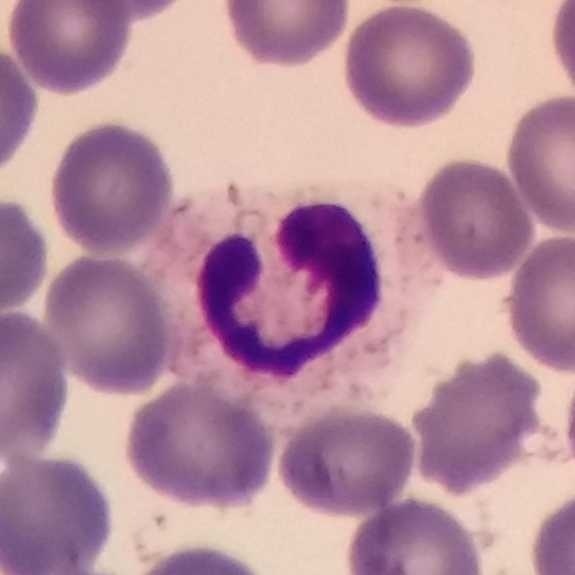 Cell — neutrophilic granulocyte.

Acquisition: Peripheral blood film.